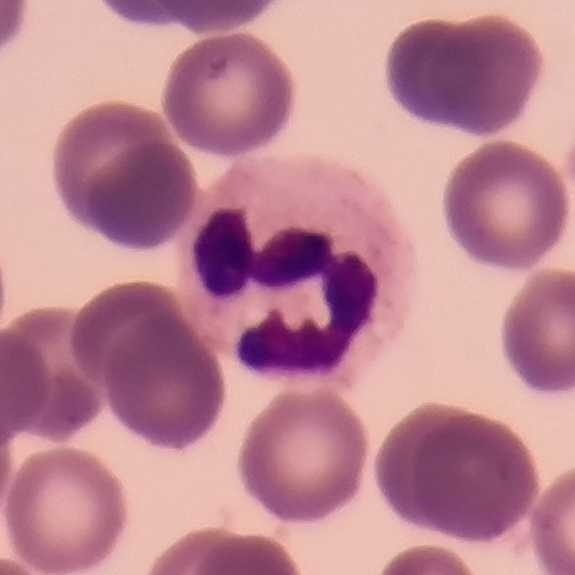The white blood cell in this image is a neutrophil.

Context: Peripheral blood smear.